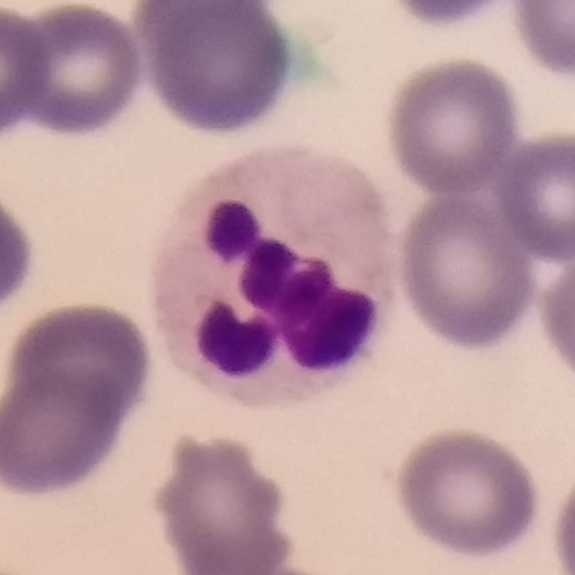 Image: Peripheral blood film.
Morphology consistent with a neutrophilic granulocyte.